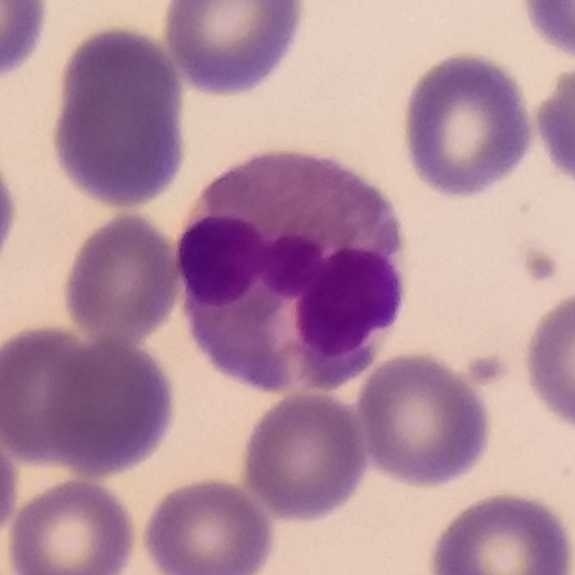

Specimen: peripheral blood smear.
White blood cell type: eosinophil.
Lineage: myeloid.
Phone-camera image taken through the microscope ocular.